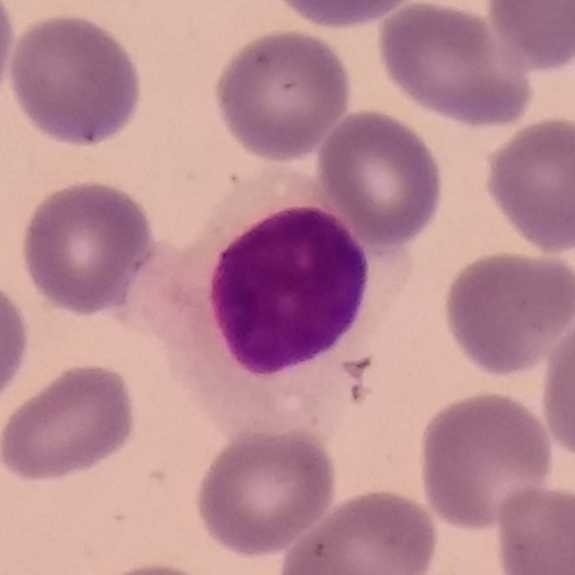
Image: Smartphone photomicrograph · peripheral blood film. Cell type = lymphocyte.